Giemsa stain. Peripheral blood film. 575 by 575 pixels — 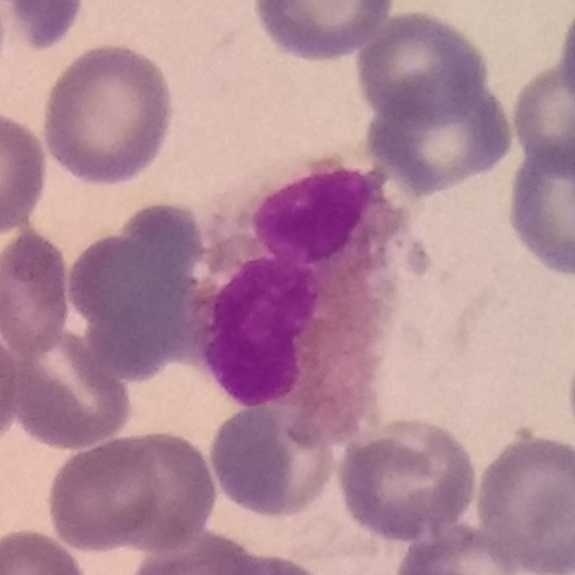
An eosinophilic granulocyte.